Peripheral blood smear:
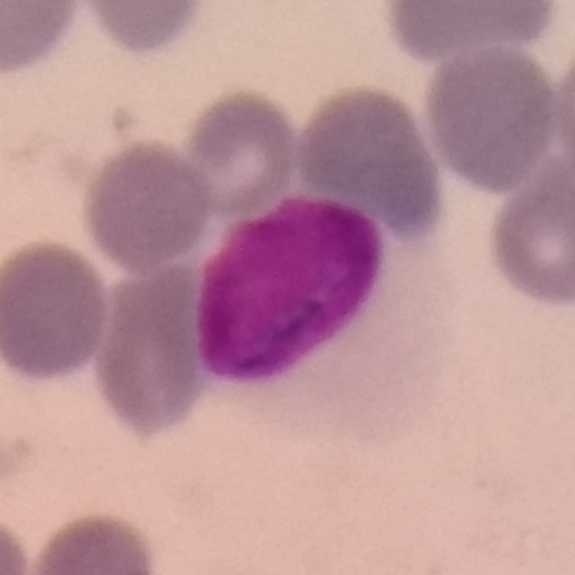
Single cell identified as a lymphocyte.